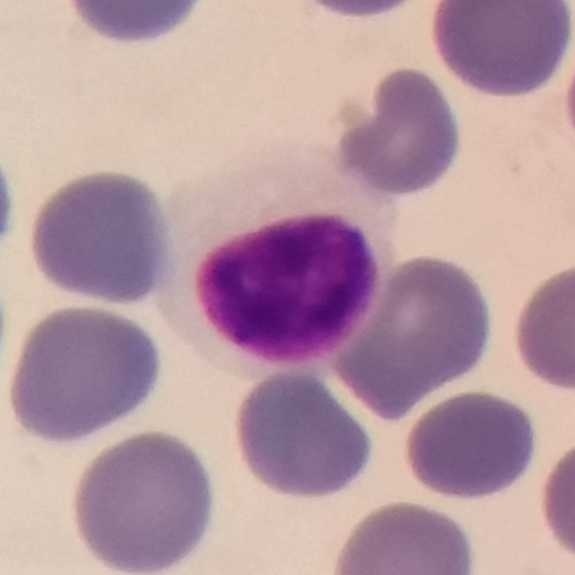

Specimen: peripheral blood smear.
Cell: lymphocyte.
Lineage: lymphoid. Imaged at 100×.